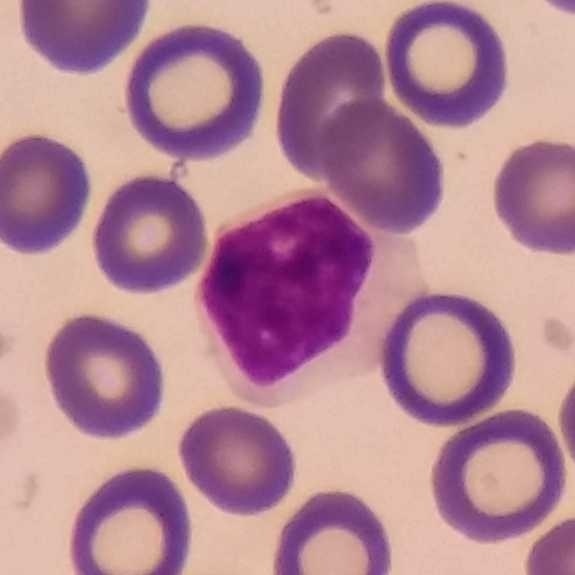A lymphocyte. Peripheral blood film.